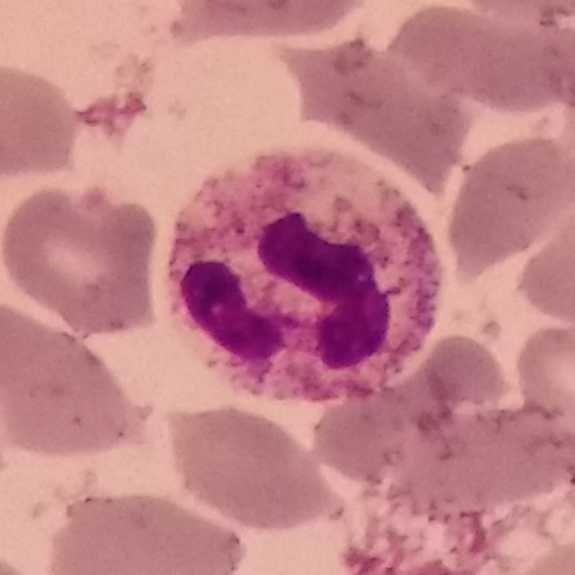Neutrophil granulocyte. Acquisition: Peripheral blood smear.